Peripheral blood smear. Image size 575×575 — 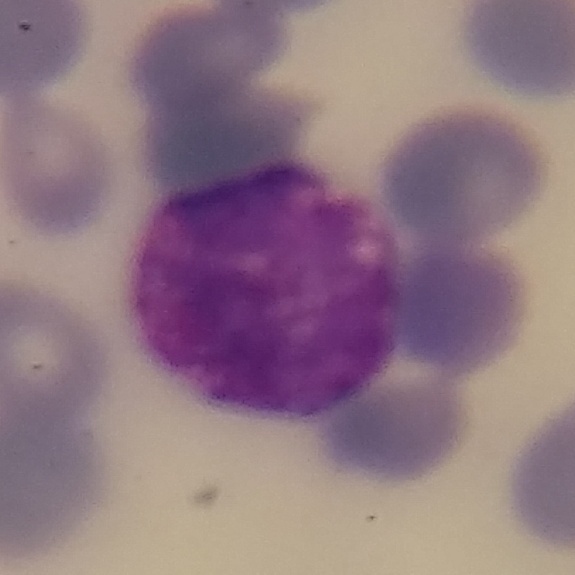Q: Classify this leukocyte.
A: Basophilic granulocyte.